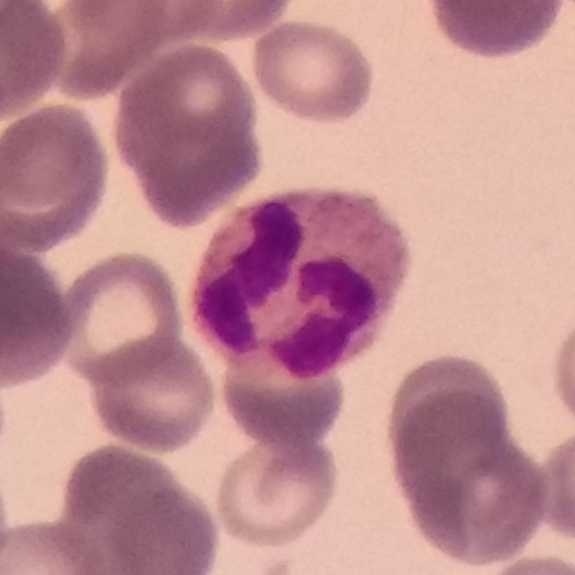 Morphology → neutrophilic granulocyte.